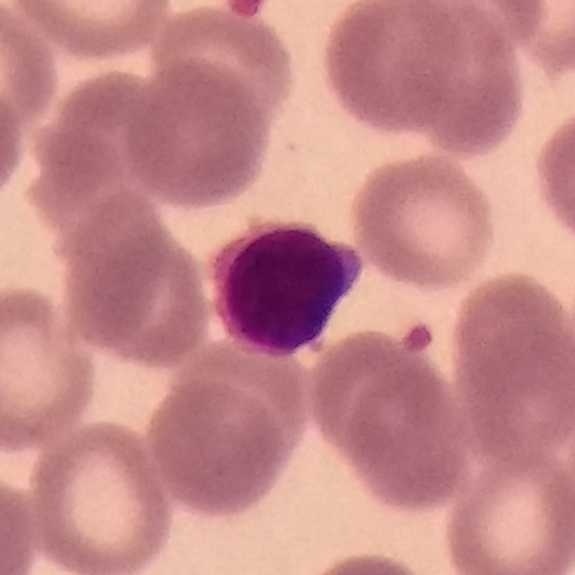

575×575; peripheral blood film. Q: Classify this leukocyte.
A: Lymphocyte.